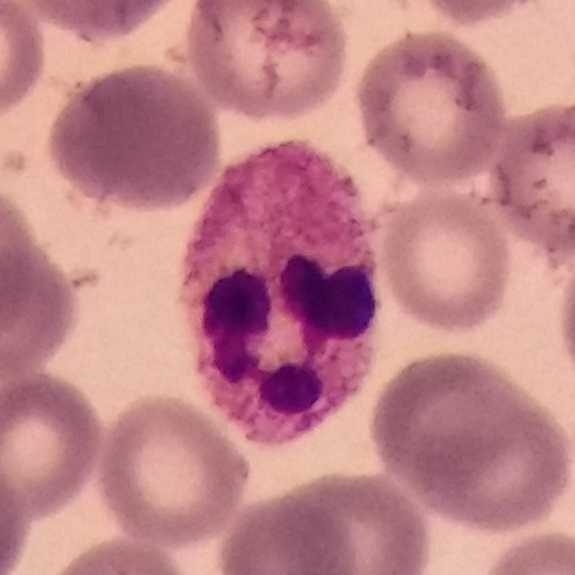
Morphology — neutrophil.